Imaged at 100×; peripheral blood film — 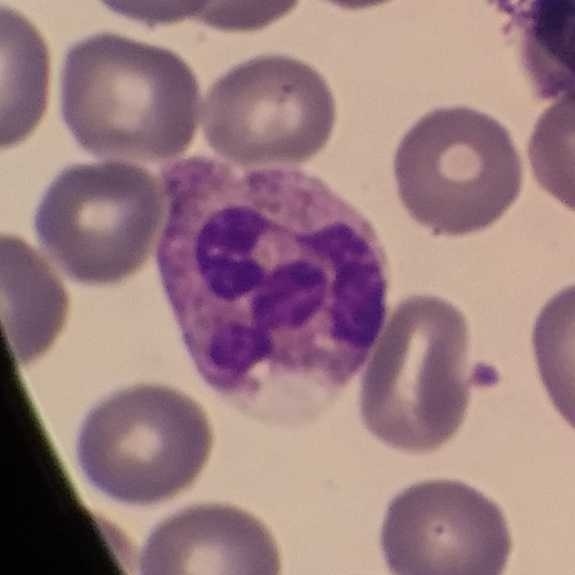Morphological class — neutrophilic granulocyte.